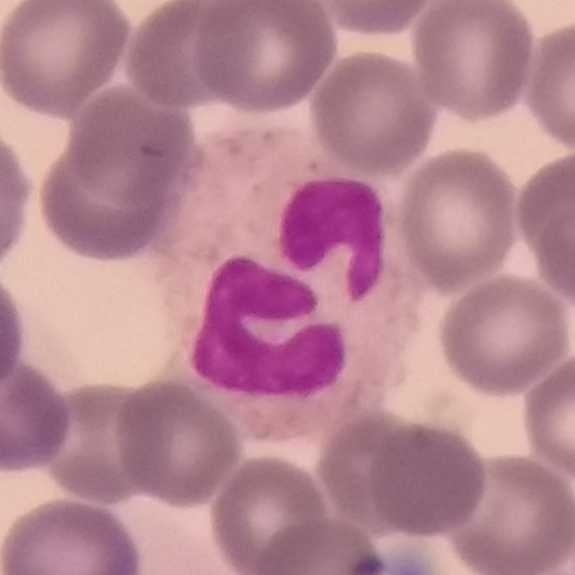

Preparation: Peripheral blood smear.

White blood cell type = neutrophilic granulocyte.